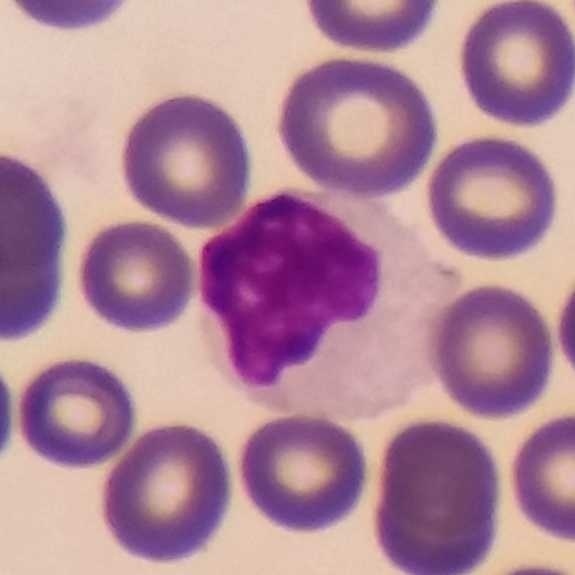

Cell = lymphocyte. Peripheral blood smear.